Peripheral blood smear
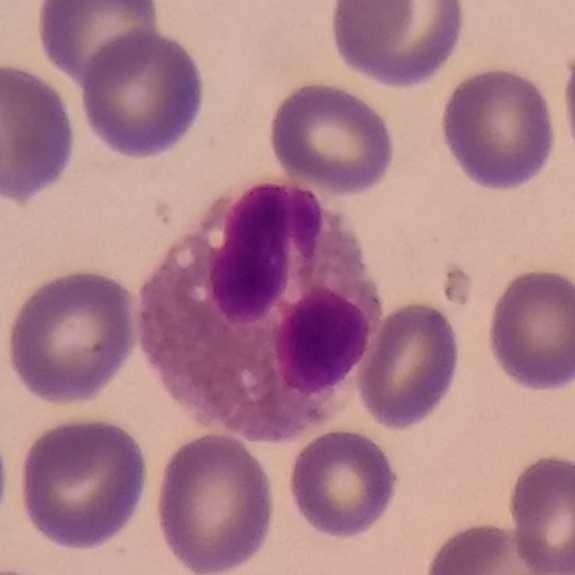
Identified as an eosinophil.